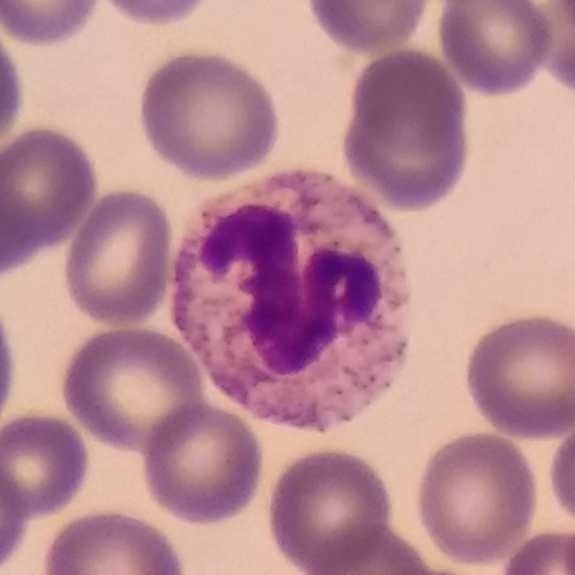 Peripheral blood film. Q: What is shown here?
A: This is a neutrophil granulocyte.